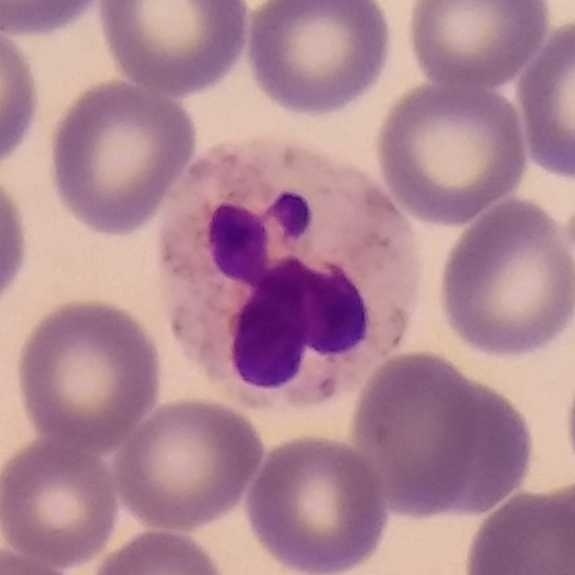
Peripheral blood film.

{"cell_type": "neutrophilic granulocyte"}